Peripheral blood smear
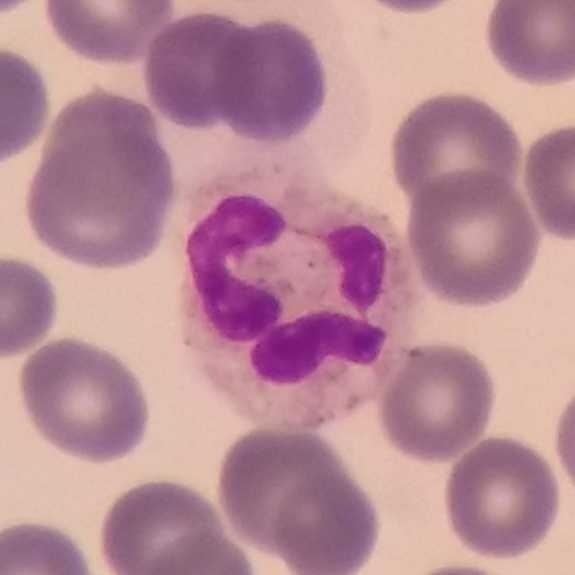 Showing a neutrophilic granulocyte.